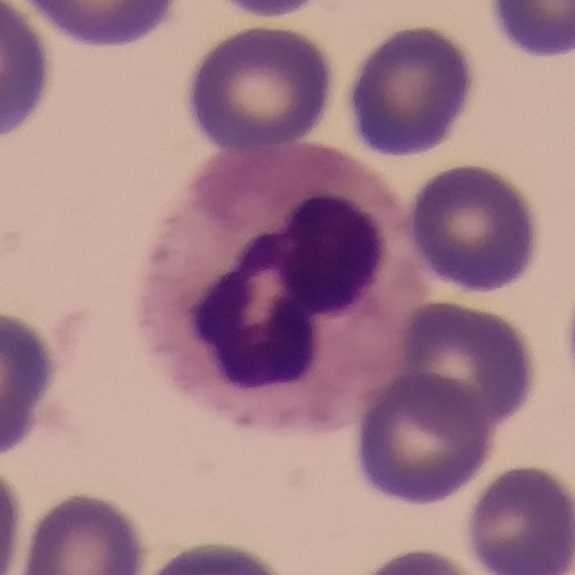Q: Which type of white blood cell is this?
A: A neutrophil. Context: Magnification 100×; peripheral blood smear.